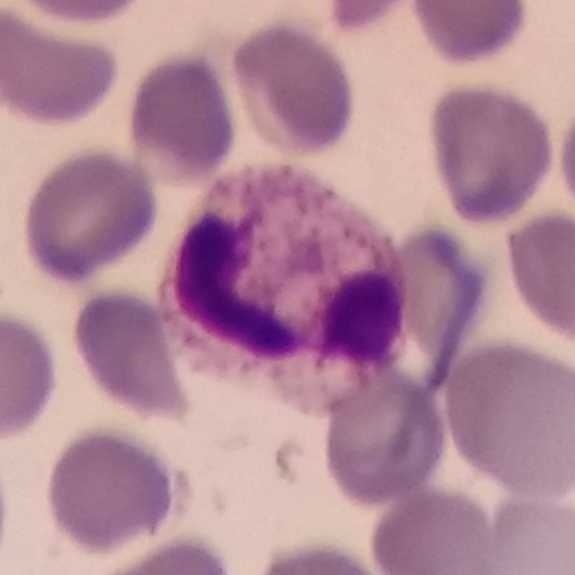Context: Giemsa stain · peripheral blood smear.
Showing a neutrophil.